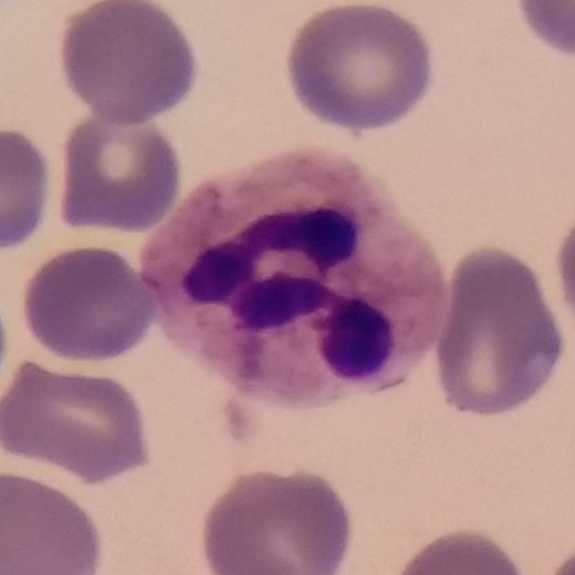

Morphology — neutrophilic granulocyte.